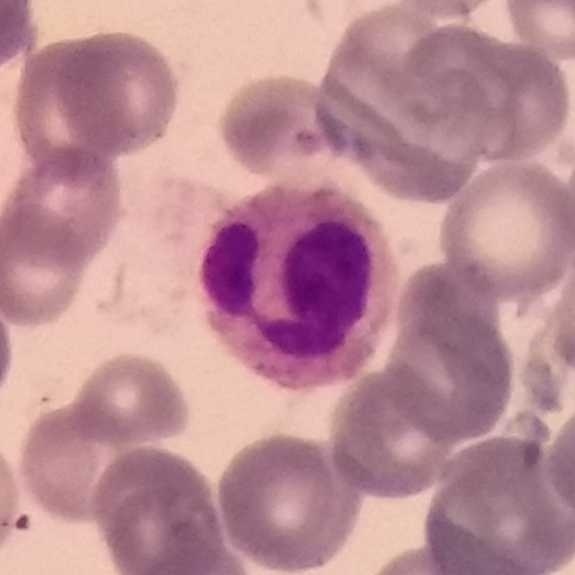
100× magnification; smartphone camera mounted on the microscope eyepiece; peripheral blood film.

{"cell_type": "neutrophil granulocyte"}